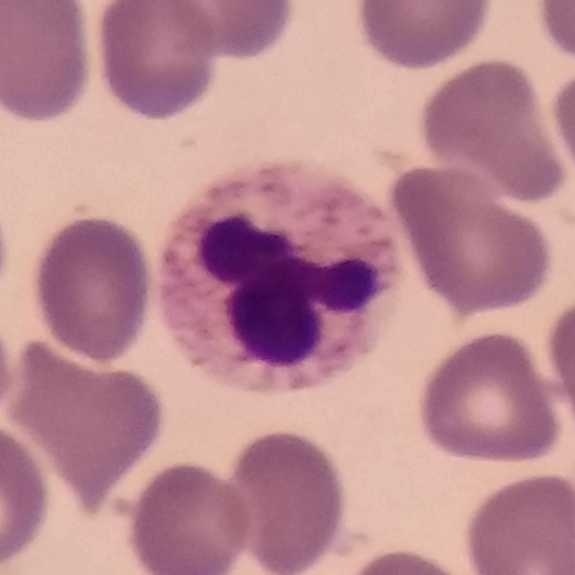

Showing a neutrophil granulocyte.
Image: Peripheral blood smear; Giemsa stain.